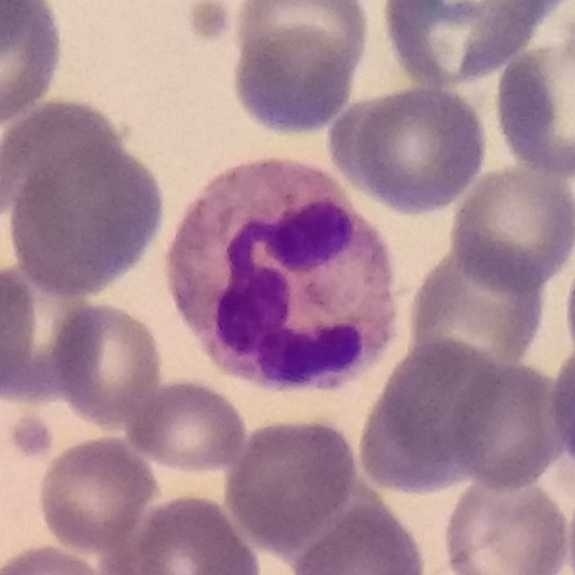
Image: Phone-camera image taken through the microscope ocular; peripheral blood film.
Single cell identified as a neutrophil.